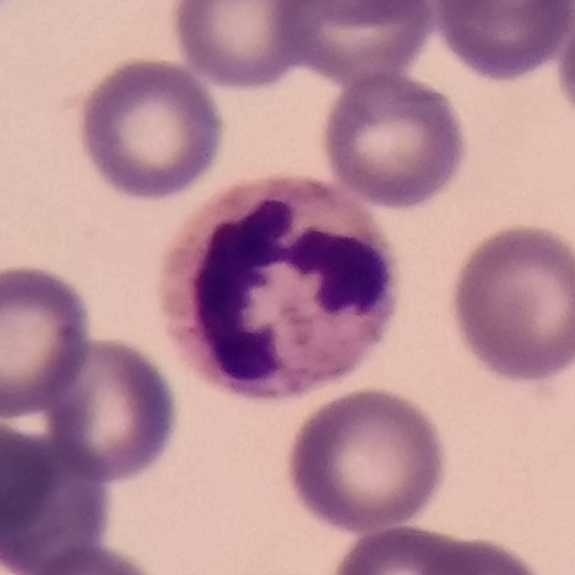
White blood cell type = neutrophil.